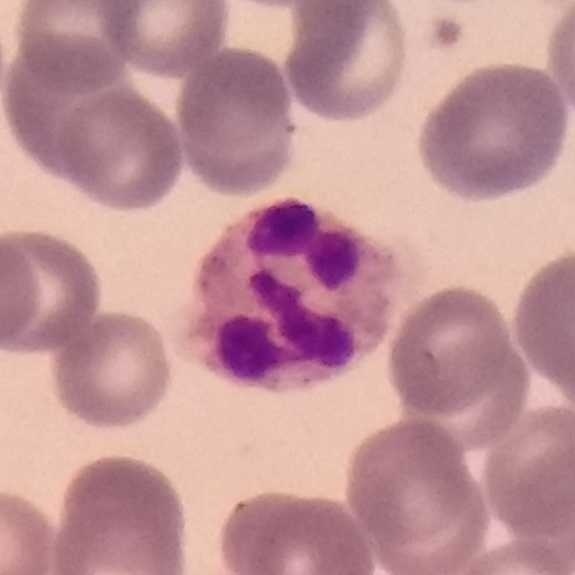

Morphology consistent with a neutrophil.
Peripheral blood smear.